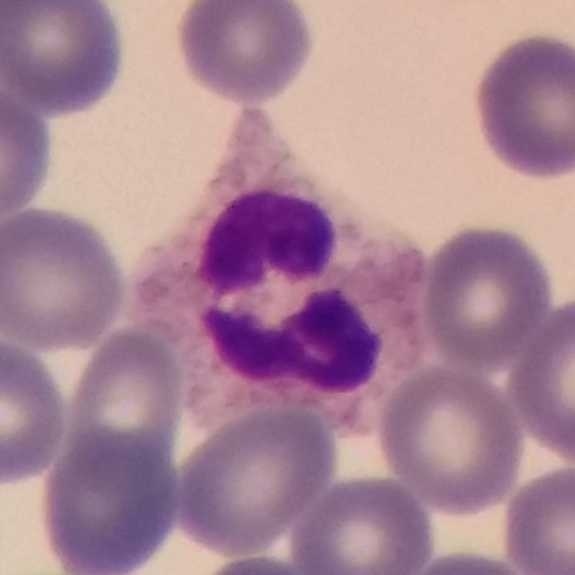
Preparation: Peripheral blood smear.

A neutrophil granulocyte.